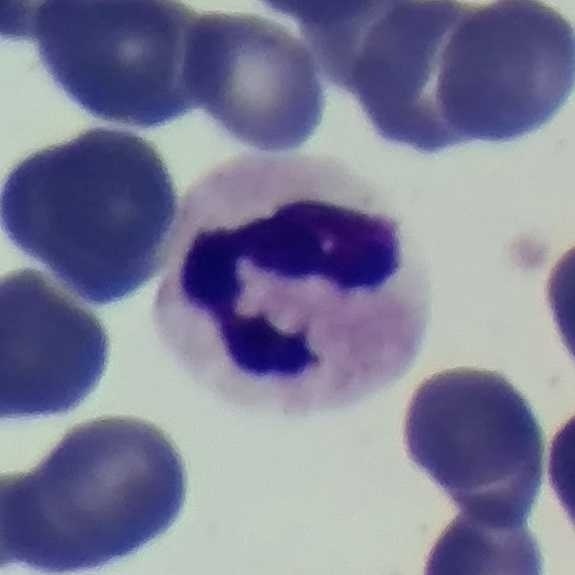Morphology consistent with a neutrophil granulocyte. Preparation: Peripheral blood film.